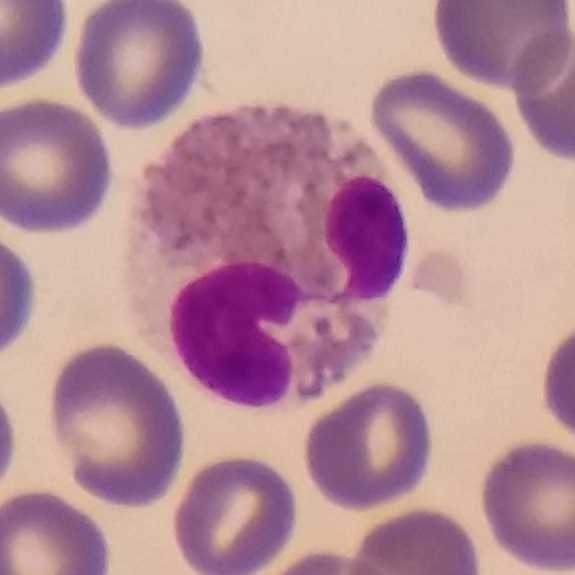
This is an eosinophilic granulocyte.